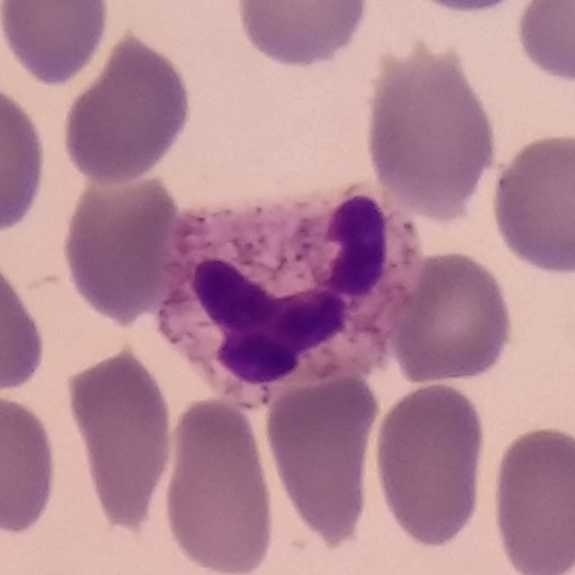 Image: Peripheral blood film.

Q: Classify this leukocyte.
A: This is a neutrophil granulocyte.